Peripheral blood smear:
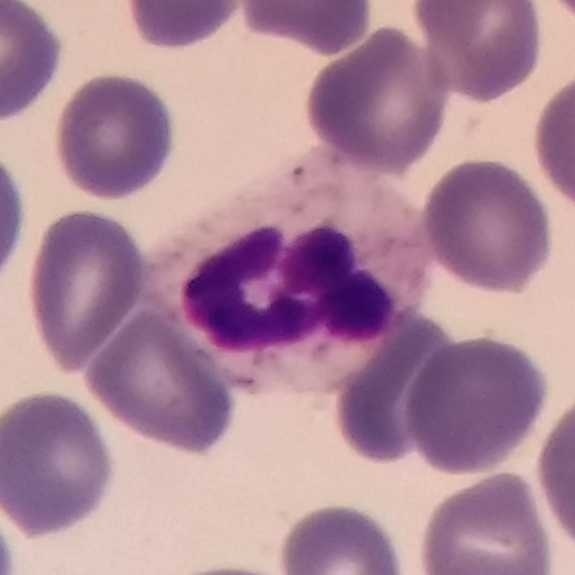White blood cell type: neutrophilic granulocyte.